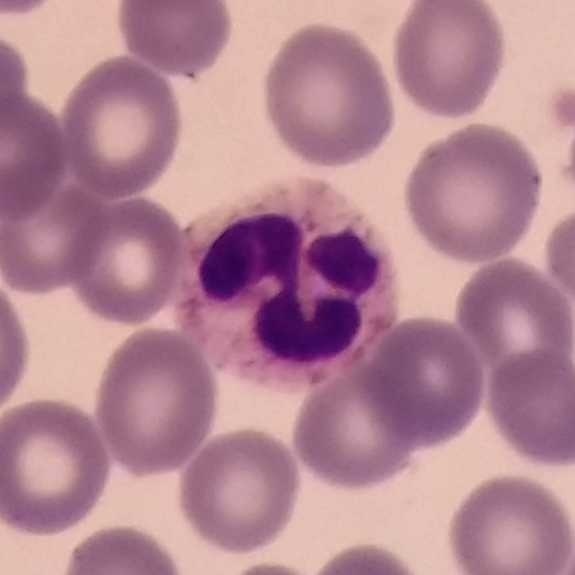

Morphology consistent with a neutrophil granulocyte.